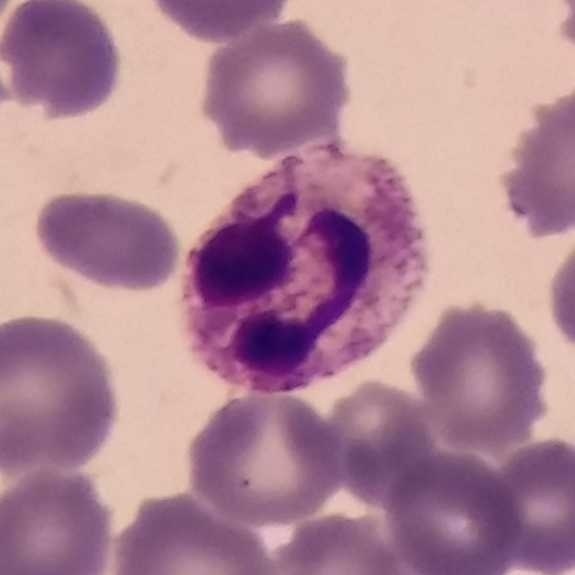 Specimen: peripheral blood smear.
Morphological class: neutrophil granulocyte.

Image: 575×575 px. Stained with Giemsa.